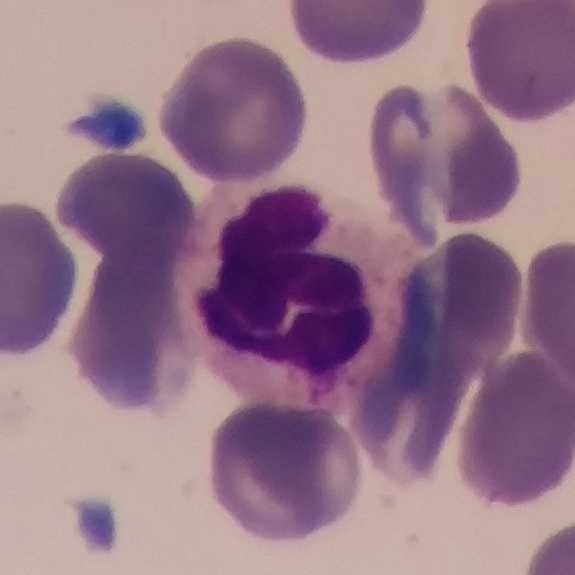Specimen: peripheral blood film.
Cell type: neutrophil granulocyte.
Lineage: myeloid.